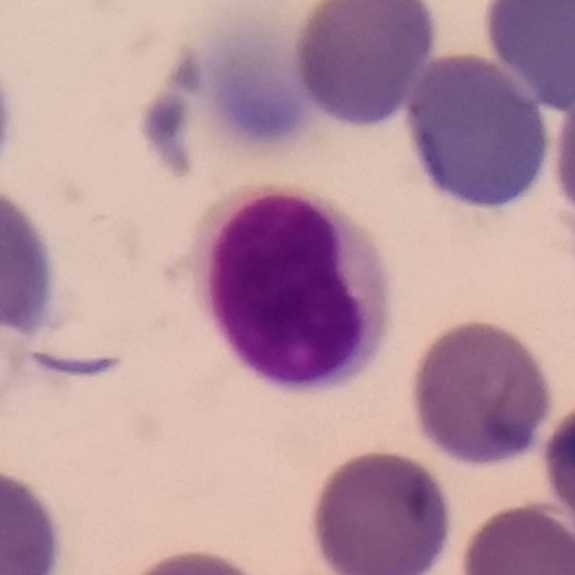
Preparation: Peripheral blood smear.
Q: What is shown here?
A: This is a lymphocyte.